Smartphone camera mounted on the microscope eyepiece. Peripheral blood film — 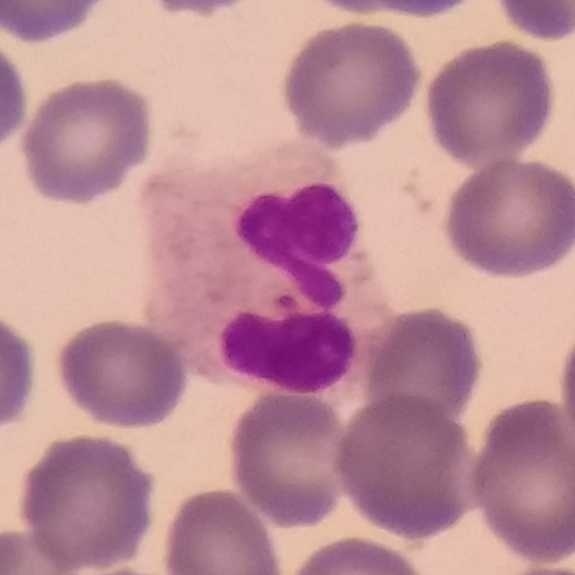

Identified as a neutrophil.